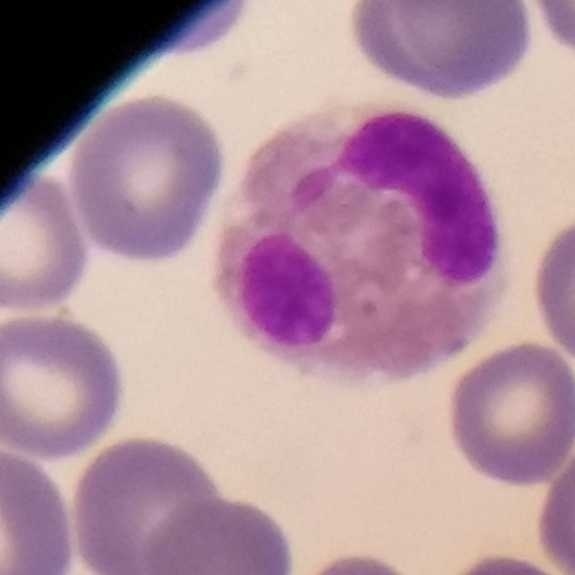Image: Magnification 100× · peripheral blood smear.
This is an eosinophil.